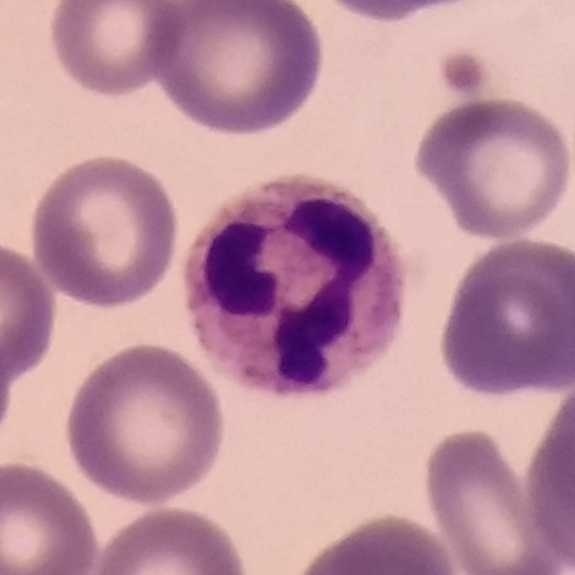
Acquisition: Peripheral blood film.

A neutrophil.